Peripheral blood film. Stained with Giemsa.
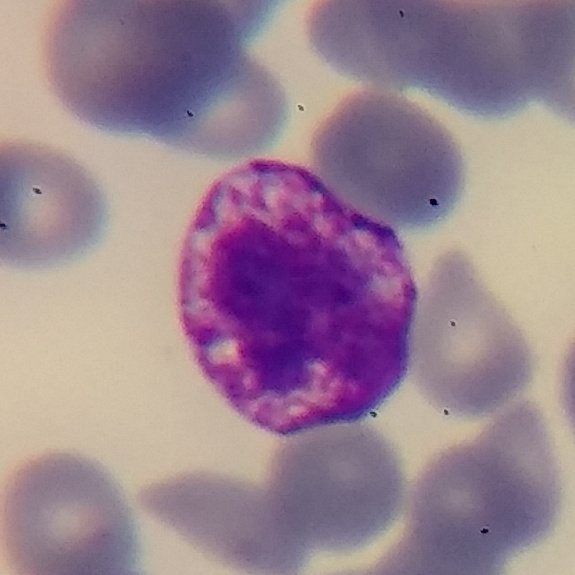

Specimen: peripheral blood smear.
Cell type: basophilic granulocyte.